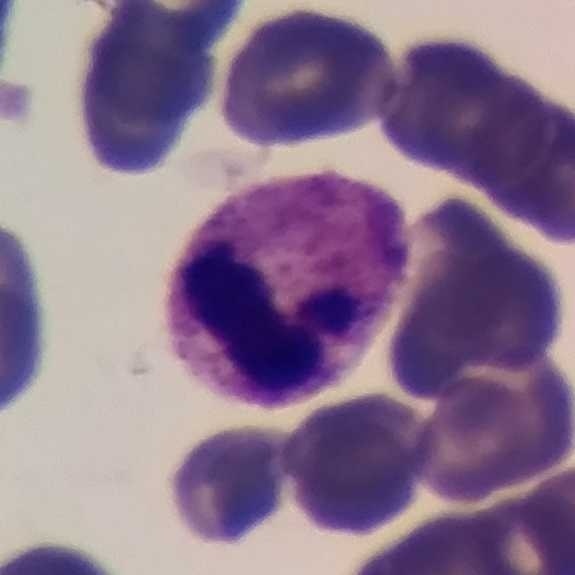 The cell type is neutrophil granulocyte.